Peripheral blood film; single white blood cell cropped from the smear photograph:
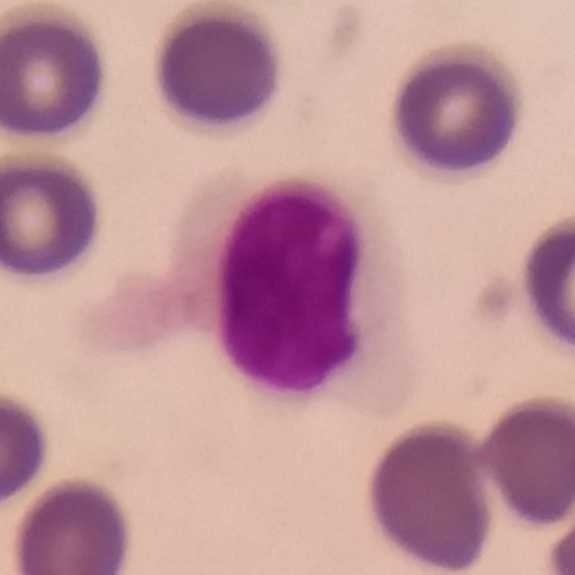 Morphology consistent with a lymphocyte.